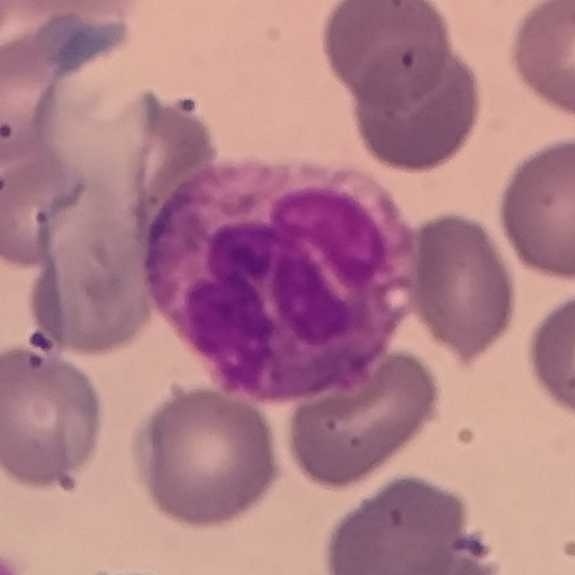 Identified as a neutrophilic granulocyte.

Image: Image size 575×575 · peripheral blood film.